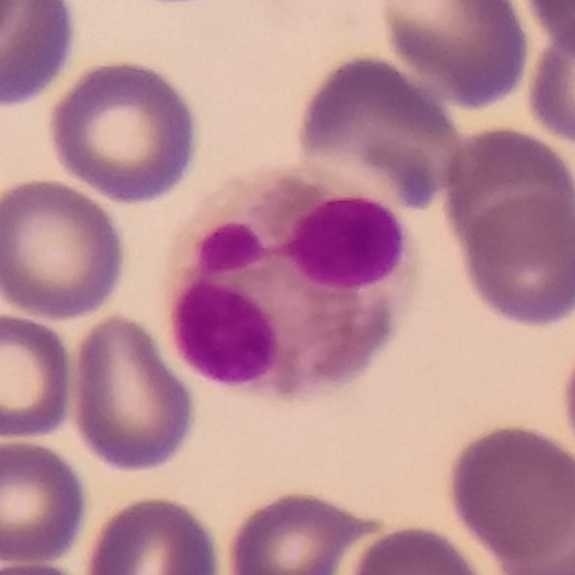Image: Giemsa stain · peripheral blood smear. Q: What is this?
A: An eosinophilic granulocyte.